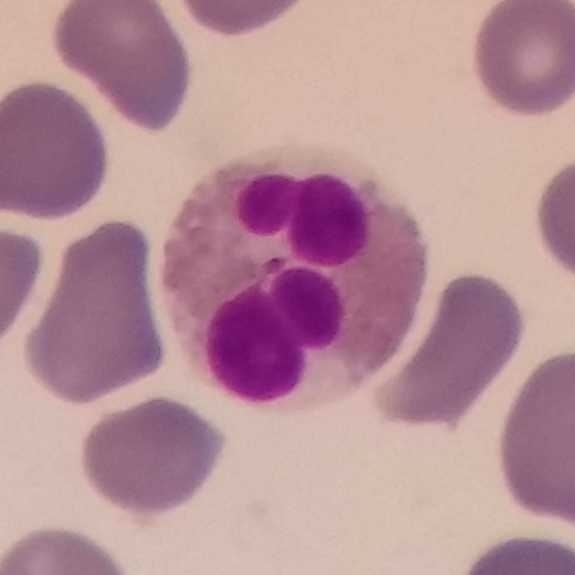

Eosinophil.

Peripheral blood film.